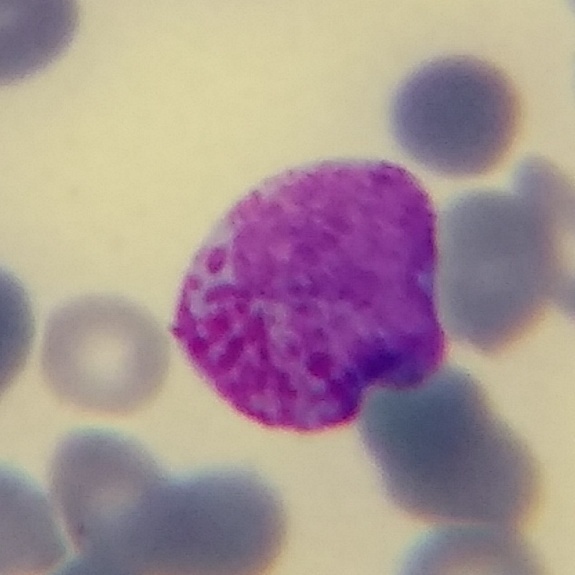The white blood cell type is basophilic granulocyte.